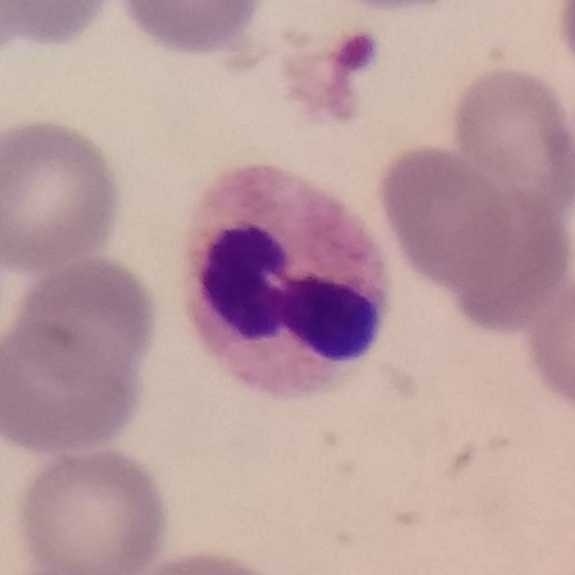
Morphology consistent with a neutrophilic granulocyte. Image: 575×575 px; phone-camera image taken through the microscope ocular; peripheral blood film.